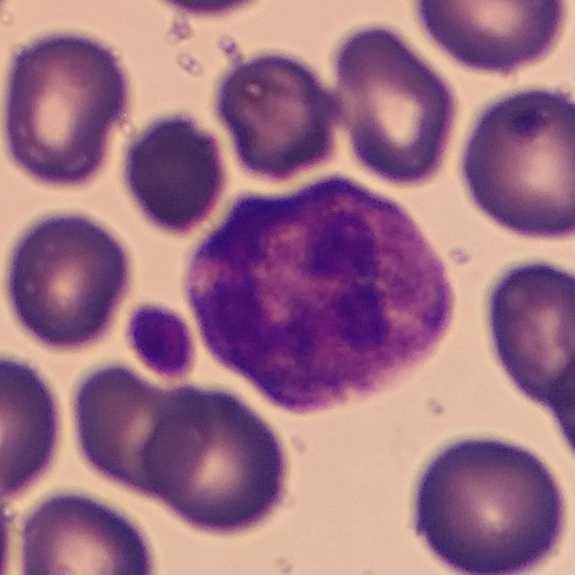

Preparation: Peripheral blood film. {"cell_type": "neutrophil"}